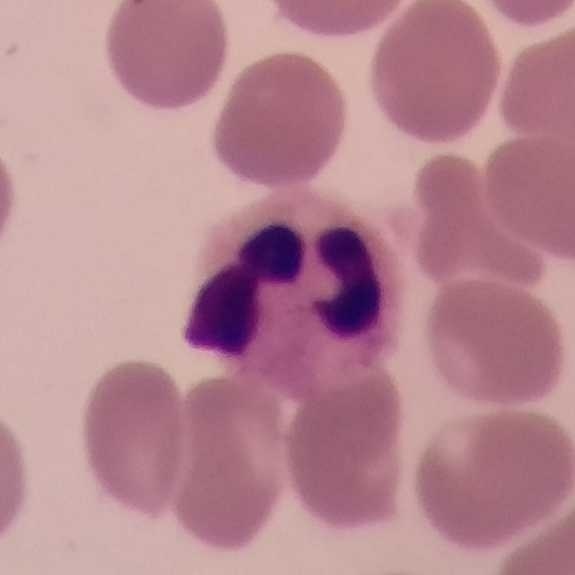
Phone-camera image taken through the microscope ocular; peripheral blood film.
Cell type: neutrophil.